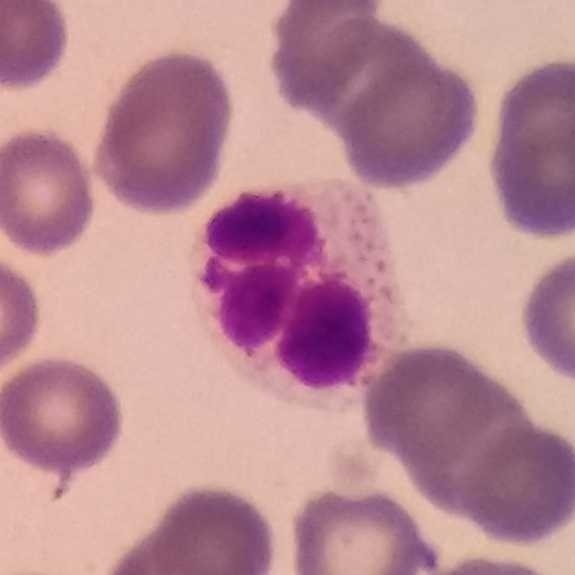 Cell: neutrophilic granulocyte.

Peripheral blood smear.